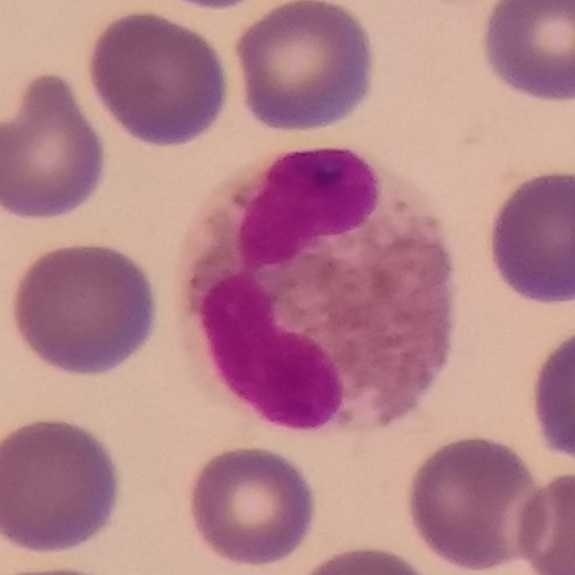Preparation: Peripheral blood film.
Eosinophil.